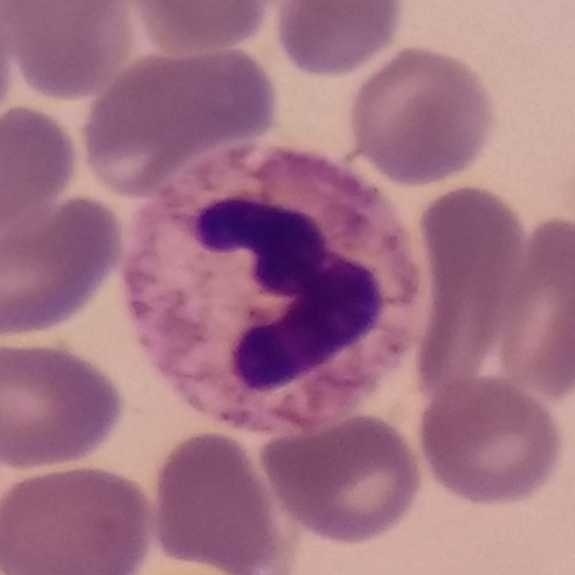Context: Peripheral blood film. 575×575 px.
Single cell identified as a neutrophil granulocyte.